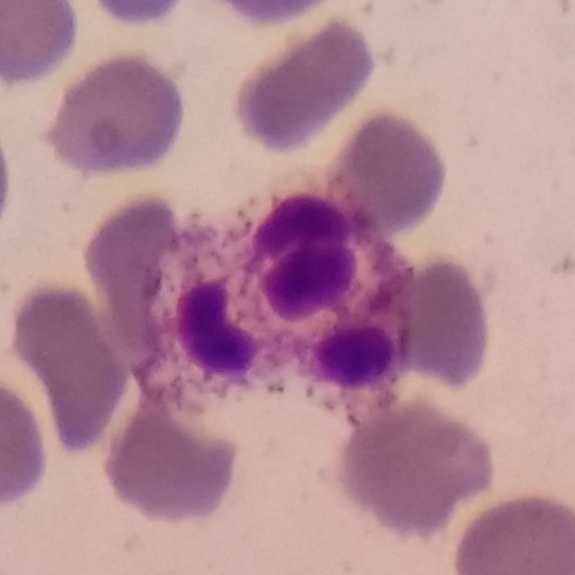

Image size 575×575. Peripheral blood film.

Morphology — neutrophilic granulocyte.